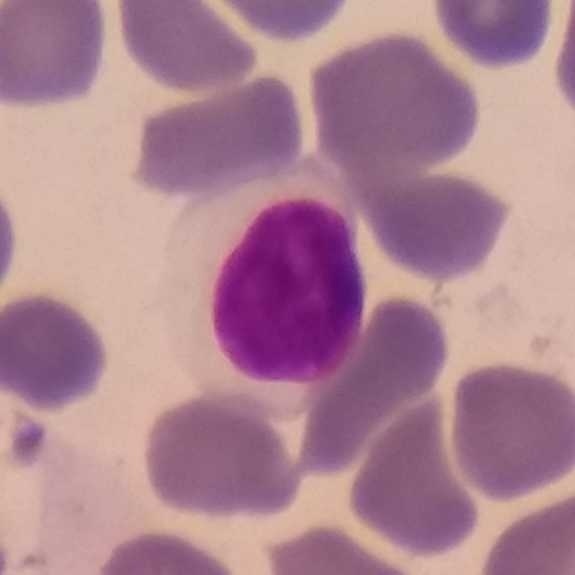 Morphology — lymphocyte.